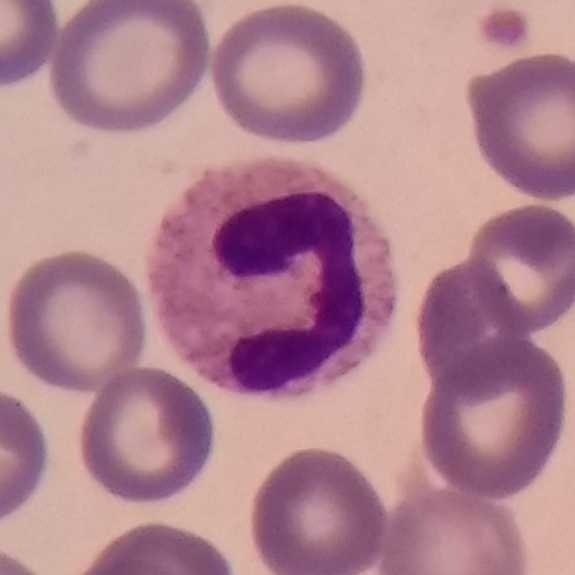

Peripheral blood film · stained with Giemsa.
Morphology → neutrophilic granulocyte.